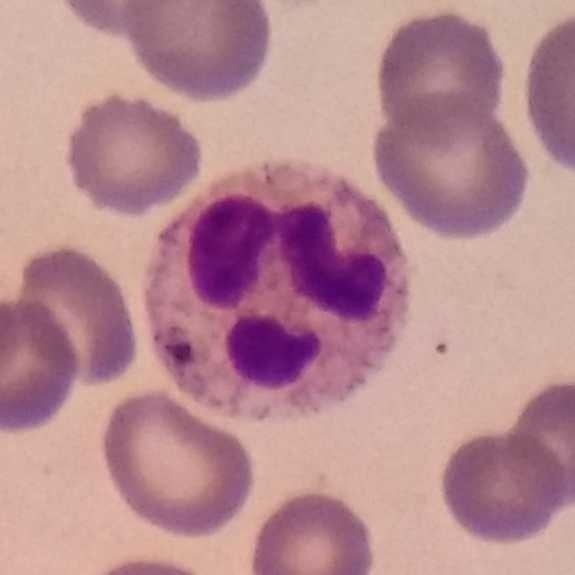 Morphology consistent with a neutrophil.